Stained with Giemsa · peripheral blood film:
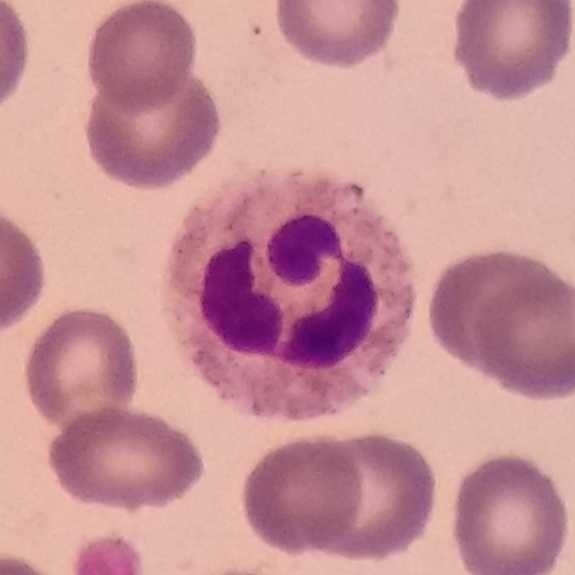

{"cell_type": "neutrophilic granulocyte", "lineage": "myeloid"}